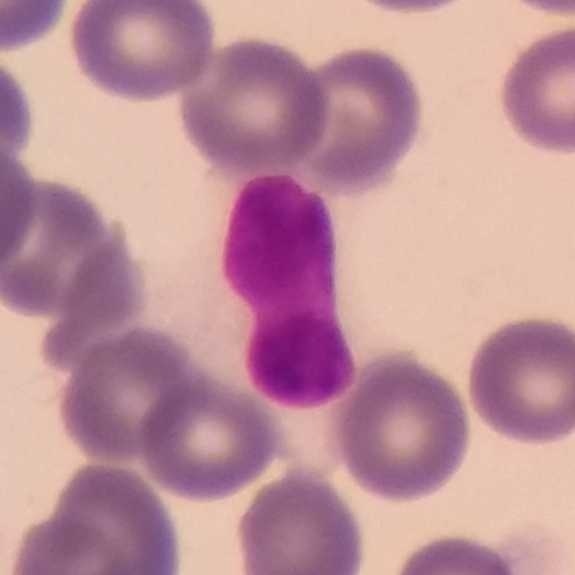Peripheral blood smear.
Q: What type of cell is this?
A: It is a lymphocyte.